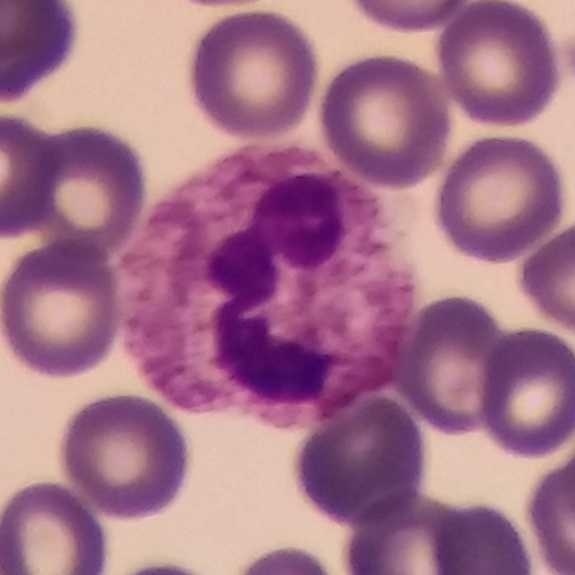

Cell type = neutrophil granulocyte.

Context: Peripheral blood smear. 100× magnification. Smartphone camera mounted on the microscope eyepiece.